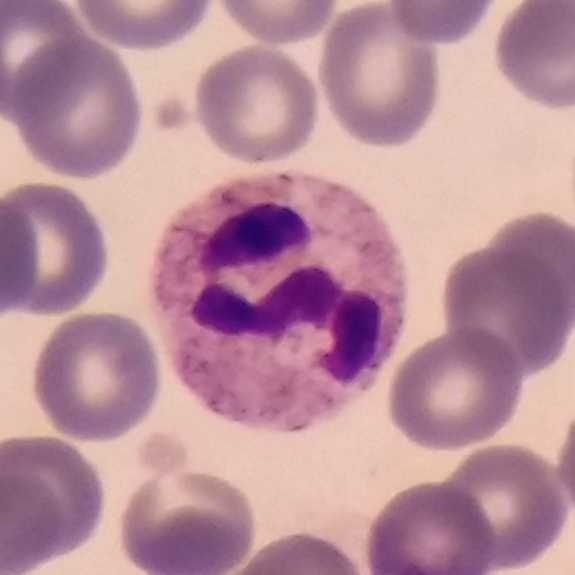 Peripheral blood film.

Cell type = neutrophil.